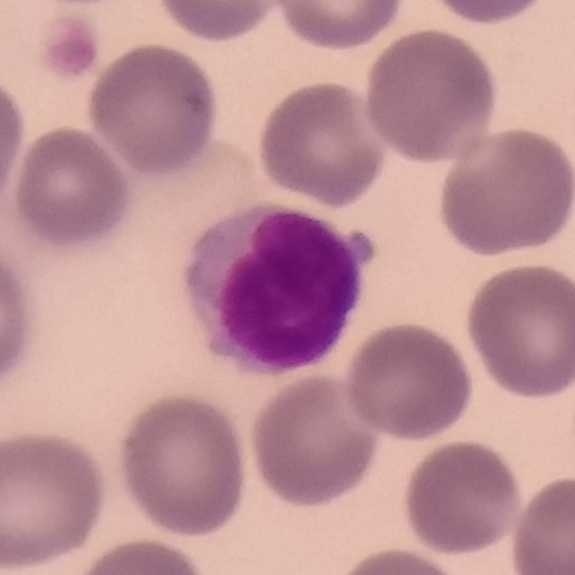 Preparation: Peripheral blood film. Image size 575×575. Giemsa stain.

Classification: lymphocyte.